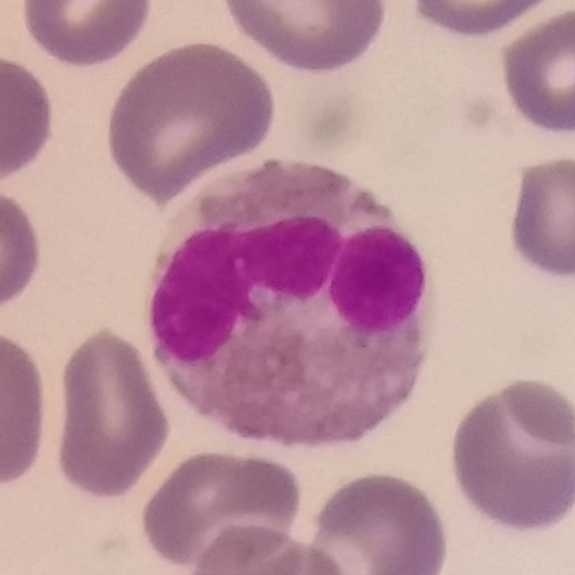

Photographed through a light microscope with a smartphone camera. Peripheral blood smear. Cropped to one leukocyte.

Single cell identified as an eosinophil.